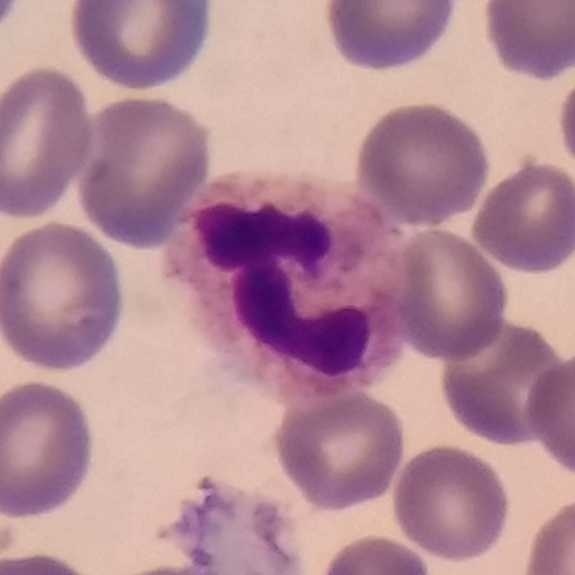
Acquisition: Peripheral blood smear. Q: Classify this leukocyte.
A: This is a neutrophil.